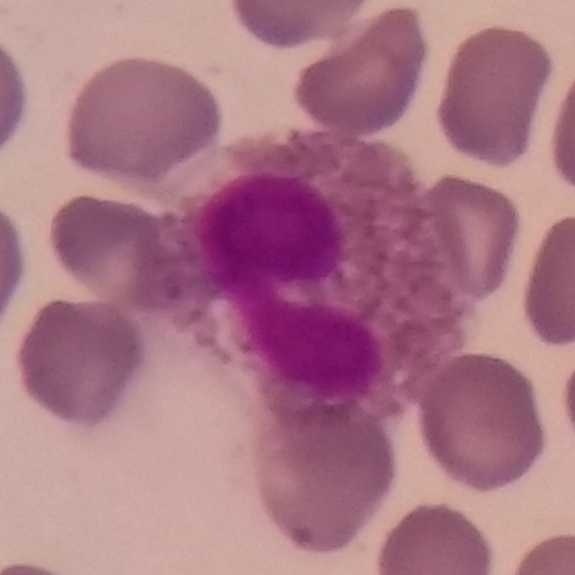
Peripheral blood film.
The cell is eosinophilic granulocyte.